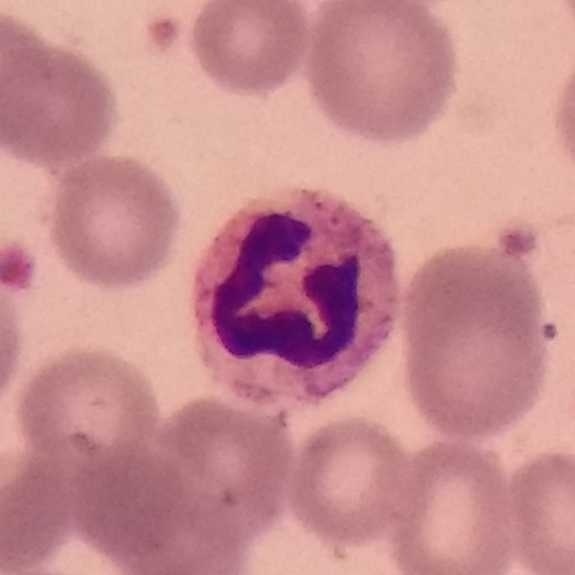 Image: Peripheral blood smear · single-cell crop · photographed through a light microscope with a smartphone camera.

Q: What is this?
A: It is a neutrophil granulocyte.